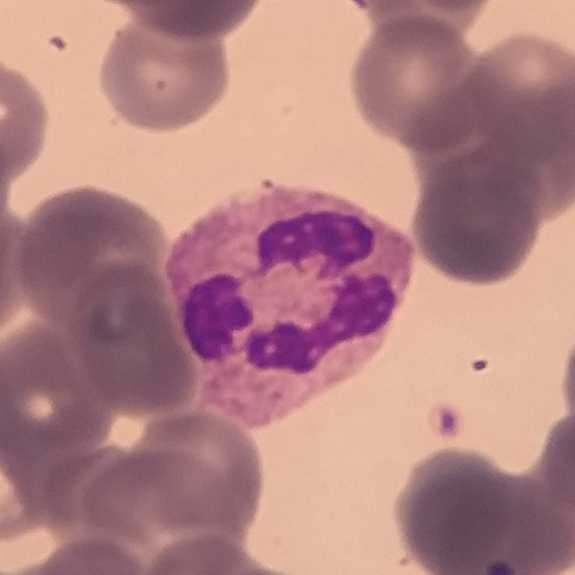Peripheral blood smear.

Classification — neutrophil granulocyte.